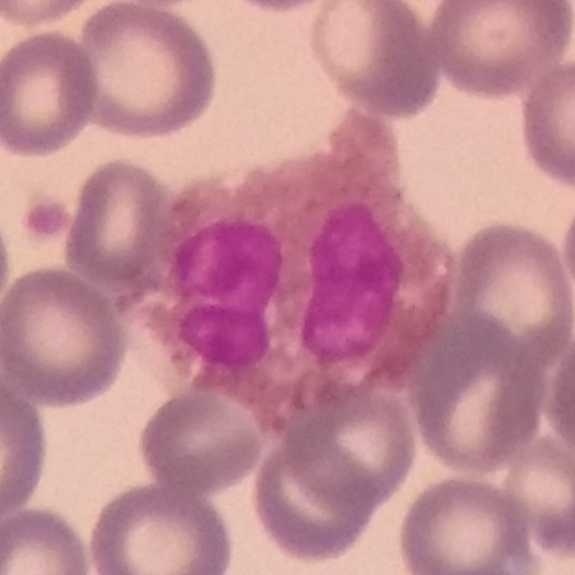
Cell — eosinophil.